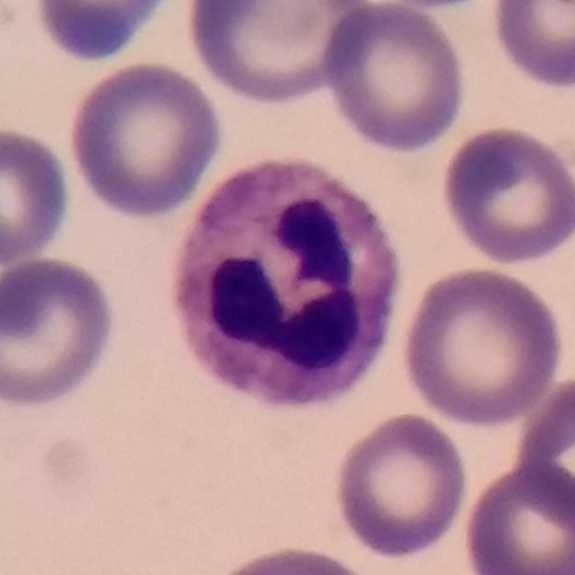 Specimen: peripheral blood film.
Morphological class: neutrophil.